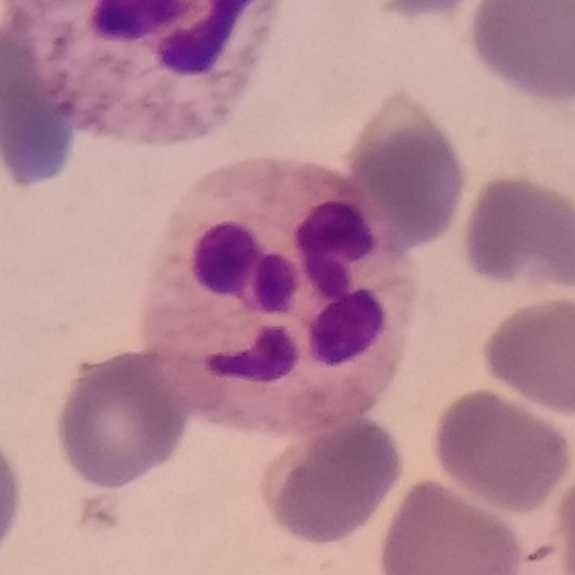

The cell is neutrophilic granulocyte. Preparation: Peripheral blood film.